Peripheral blood film: 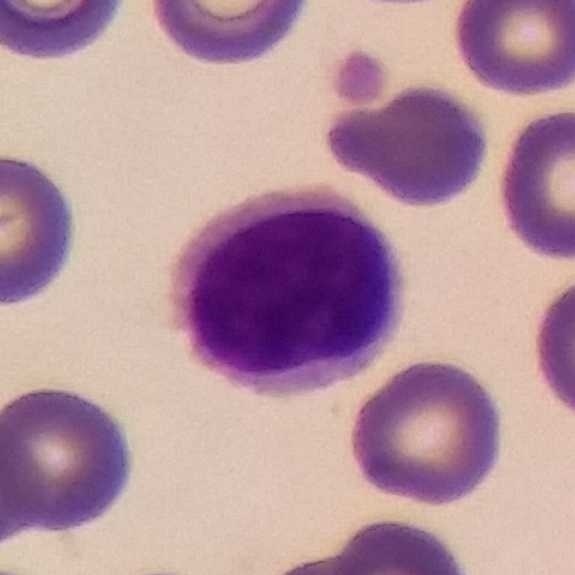
Specimen: peripheral blood film.
Morphological class: lymphocyte.